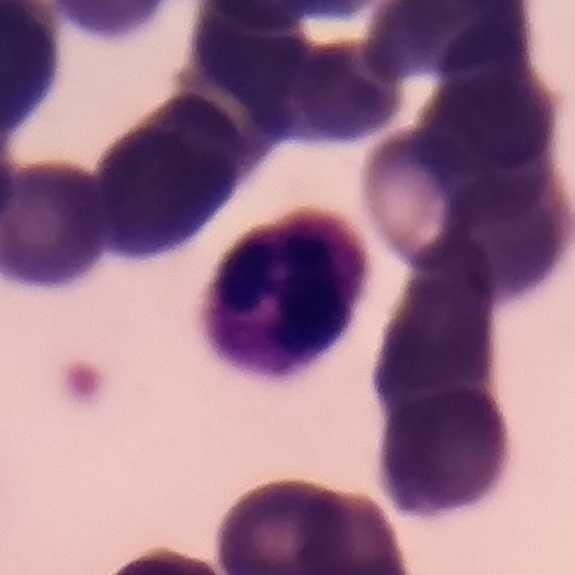

Specimen: peripheral blood film.
Cell type: neutrophilic granulocyte.